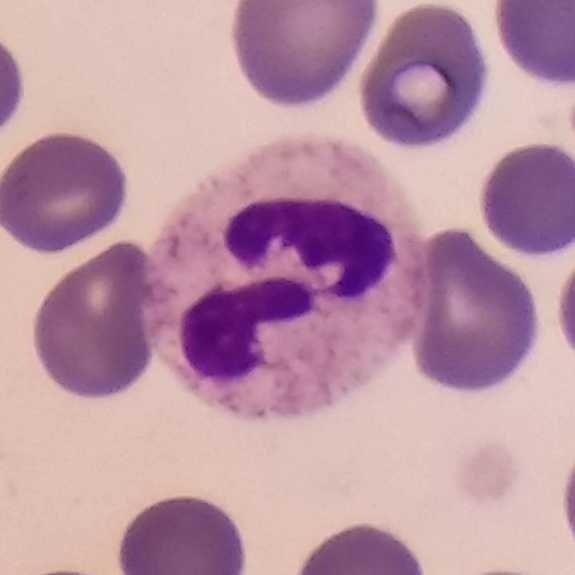 Single-cell crop from a peripheral blood smear: neutrophil granulocyte.